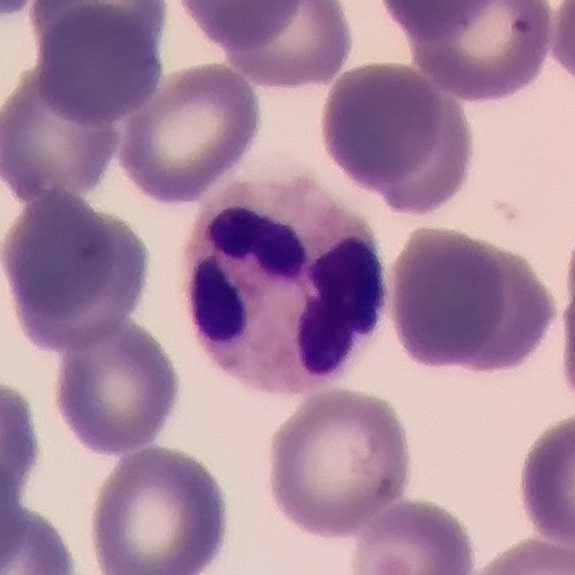

The cell is neutrophilic granulocyte. Preparation: Phone-camera image taken through the microscope ocular. Peripheral blood smear. Image size 575×575.